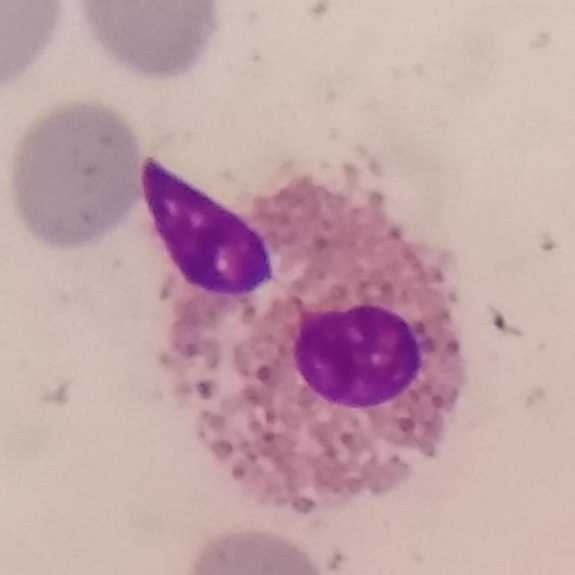 Preparation: Peripheral blood film. Giemsa-stained. Impression — eosinophilic granulocyte.